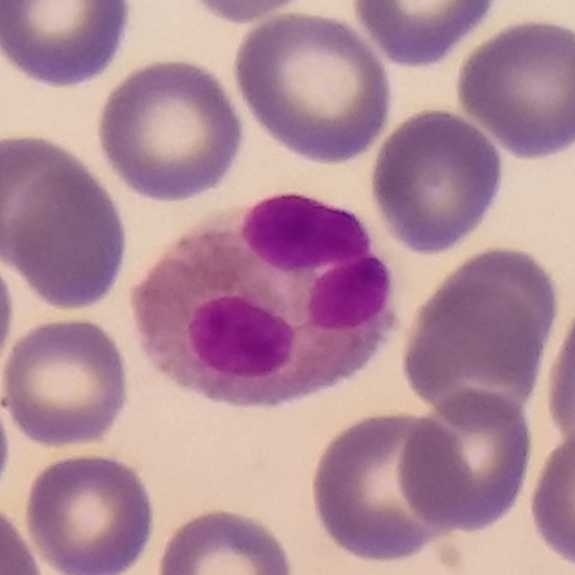
Peripheral blood smear. Cell = eosinophil.